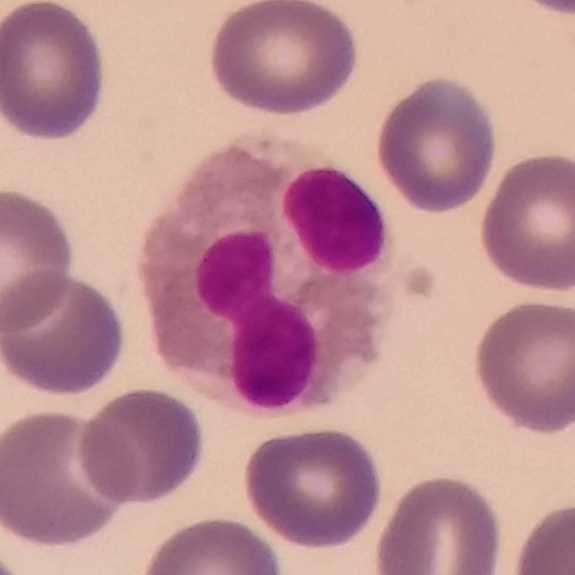

The morphological class is eosinophilic granulocyte.

Acquisition: Peripheral blood film. Stained with Giemsa.